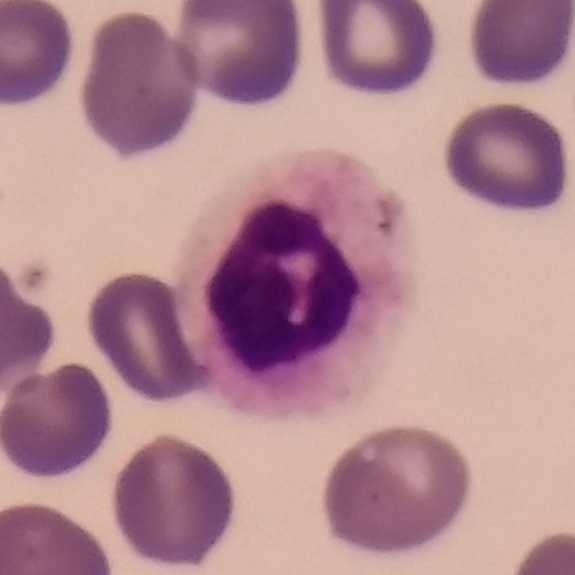
Q: What is shown here?
A: It is a neutrophil granulocyte. Image: Image size 575×575. Peripheral blood film. Giemsa-stained.